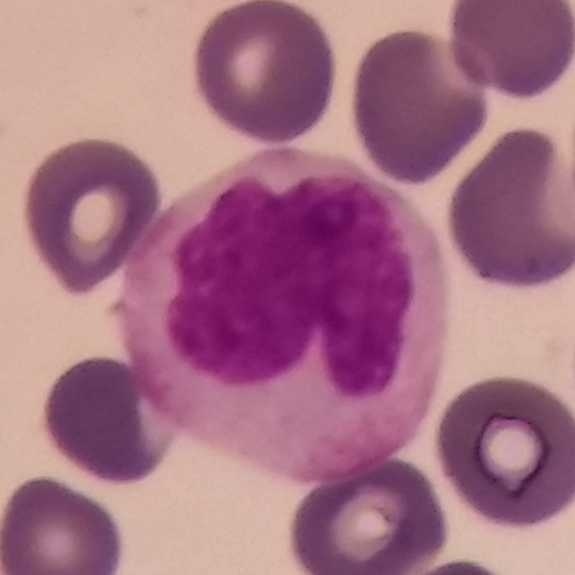

Cell type — monocyte. Acquisition: Imaged at 100×; peripheral blood smear.